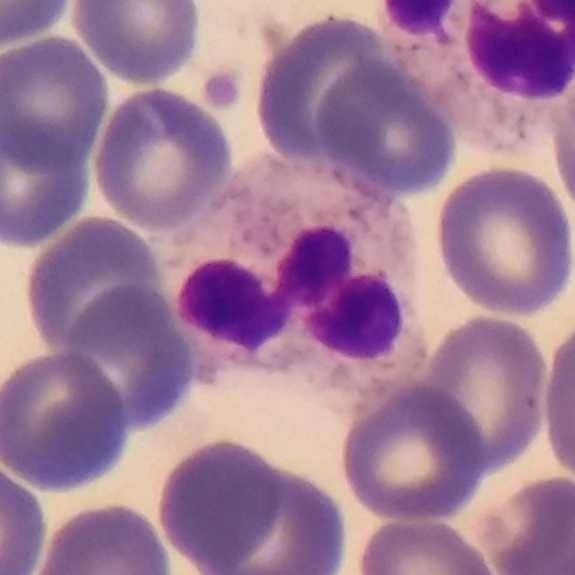Cell type = neutrophil granulocyte.

Stained with Giemsa · peripheral blood film · 575×575.